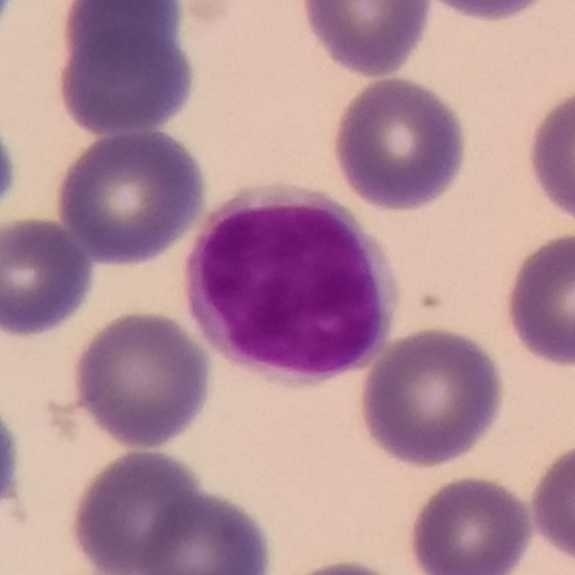Preparation: Peripheral blood film.
This is a lymphocyte.